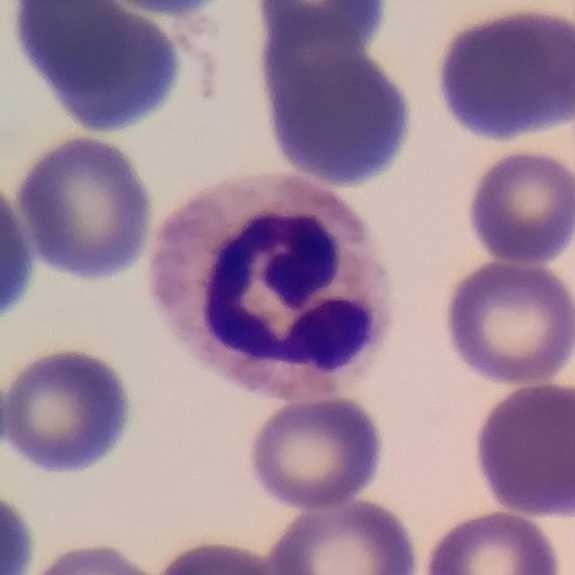
From a peripheral blood smear: a neutrophil.